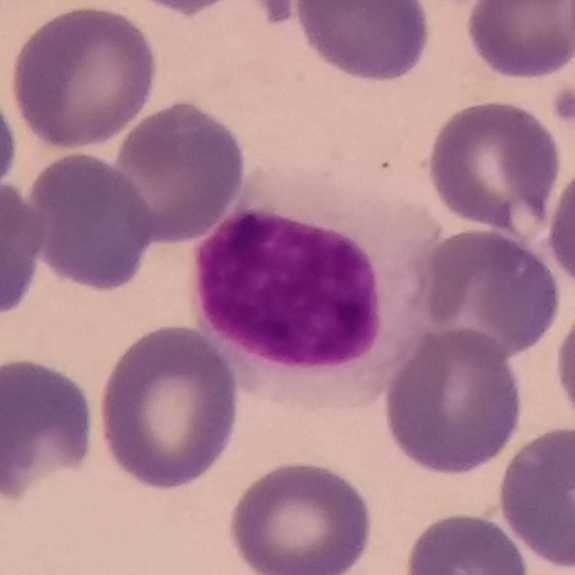Peripheral blood film.

Impression — lymphocyte.